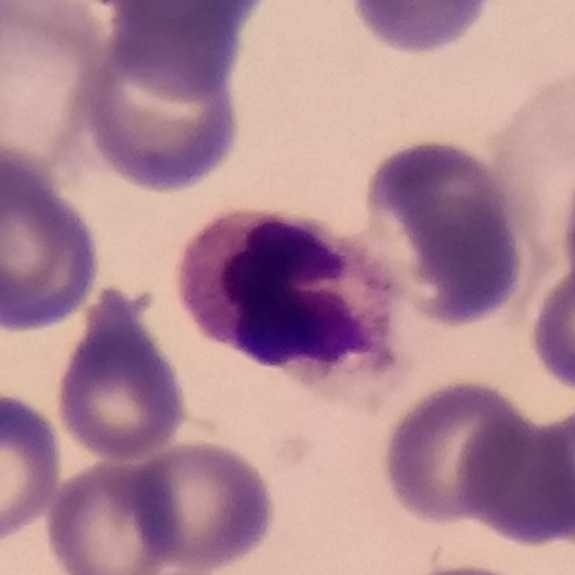
Preparation: Peripheral blood smear.

Morphological class — neutrophil.